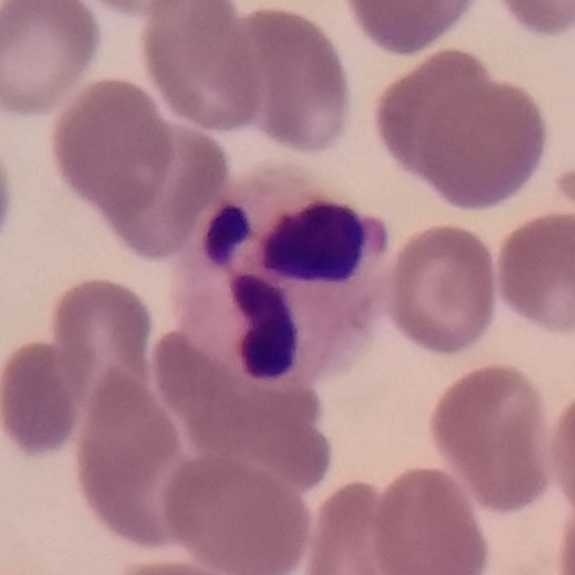

Specimen: peripheral blood film.
Morphological class: neutrophilic granulocyte.
Lineage: myeloid.

Preparation: Image size 575×575.